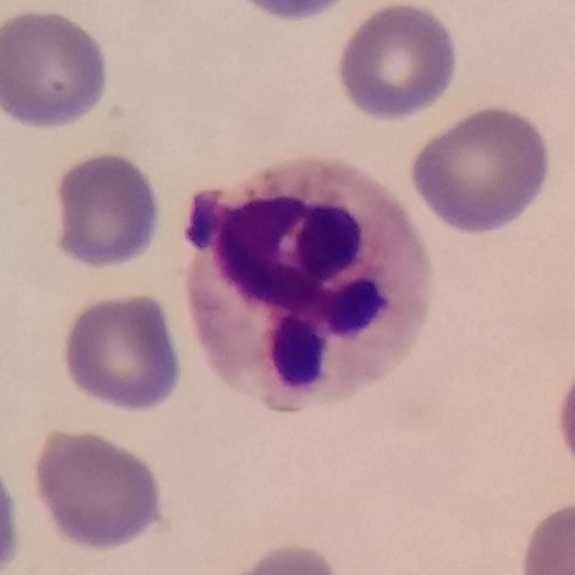
White blood cell type — neutrophilic granulocyte.